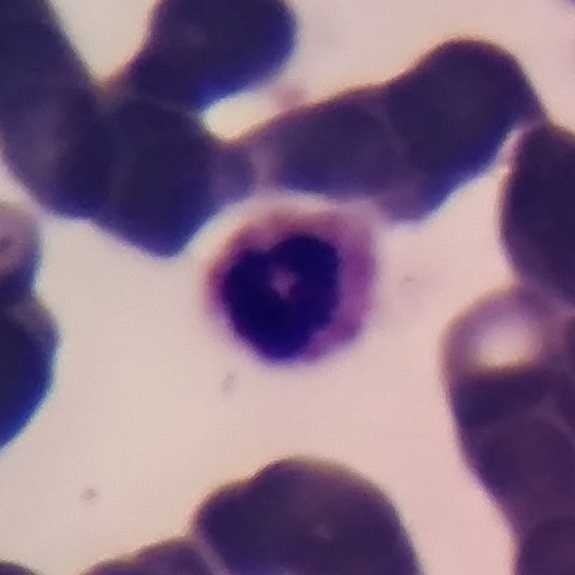Peripheral blood smear showing a neutrophil granulocyte.